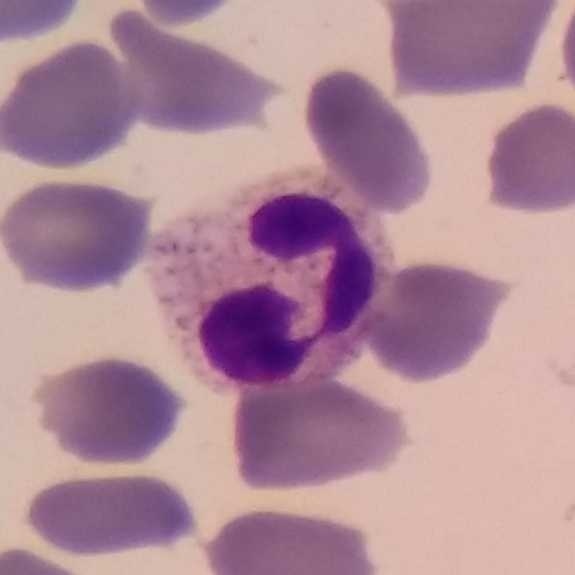Identified as a neutrophilic granulocyte.

Acquisition: Magnification 100× · photographed through a light microscope with a smartphone camera · peripheral blood smear.